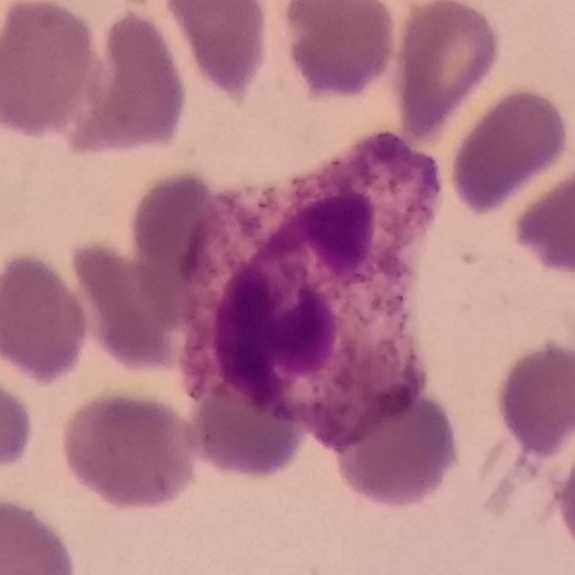
Acquisition: Giemsa stain. Peripheral blood smear.
Morphological class — neutrophilic granulocyte.